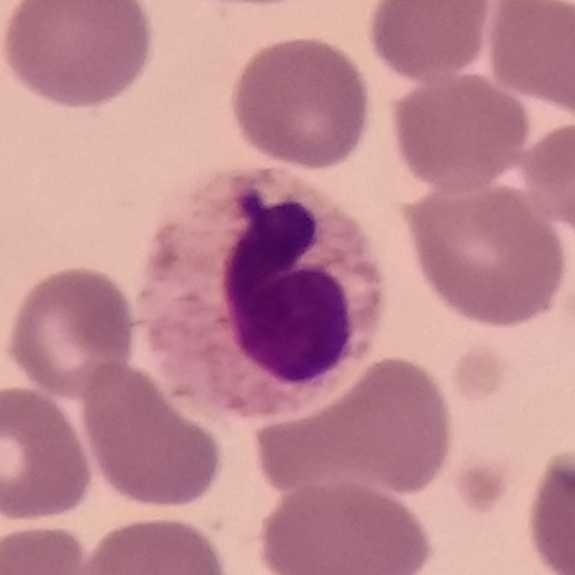

Specimen: peripheral blood film.
Classification: neutrophil.

Giemsa stain.